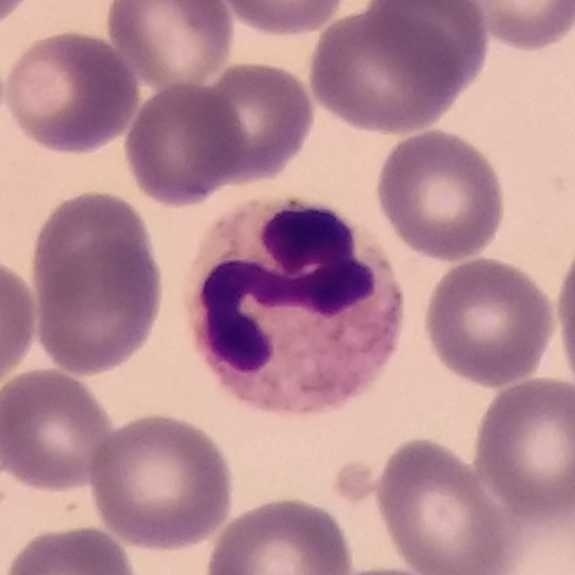 Q: What cell is this?
A: Neutrophil granulocyte.